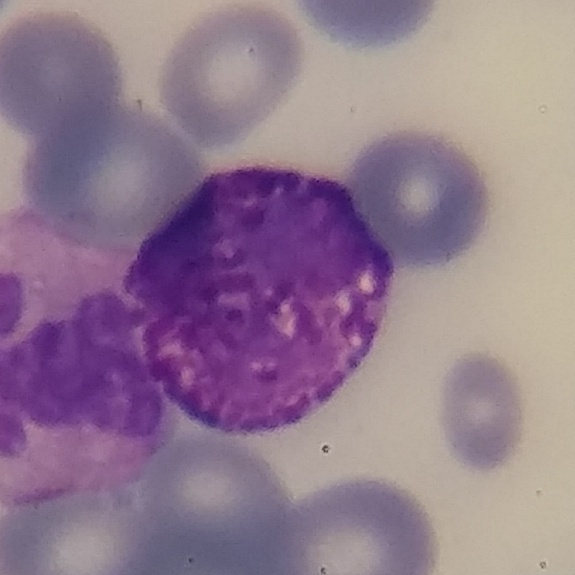

Single cell identified as a basophil. Preparation: Single-cell crop; peripheral blood film.